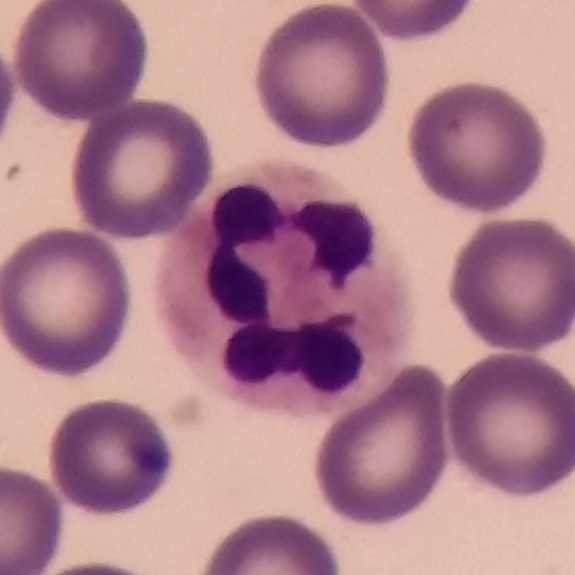
Context: Peripheral blood film.

Neutrophilic granulocyte.